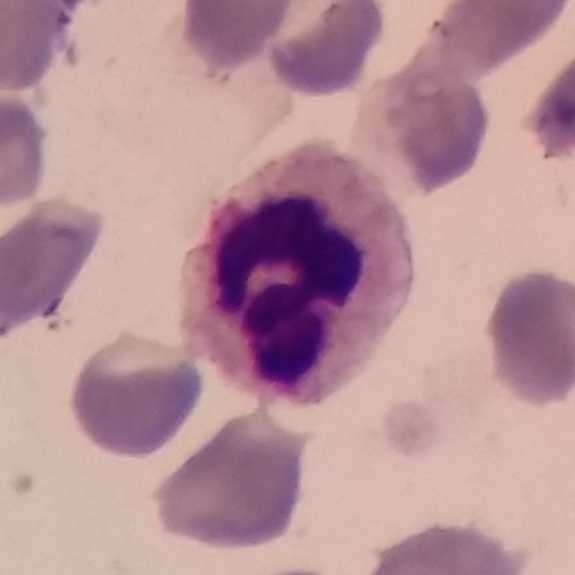

Peripheral blood smear.

White blood cell type: neutrophil.